Peripheral blood film
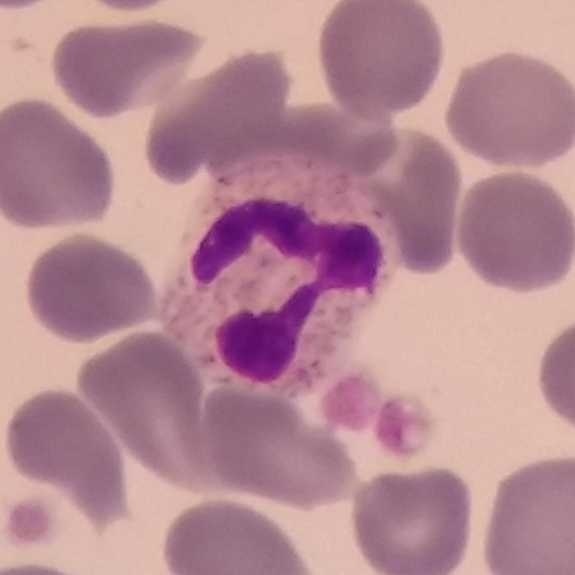Neutrophilic granulocyte.